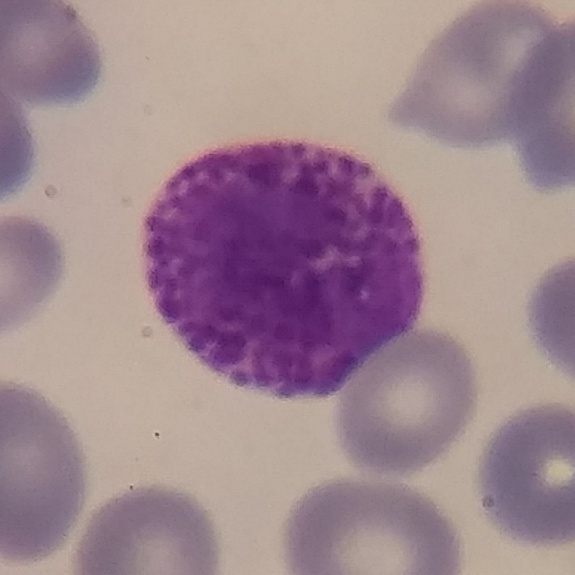
A basophil.